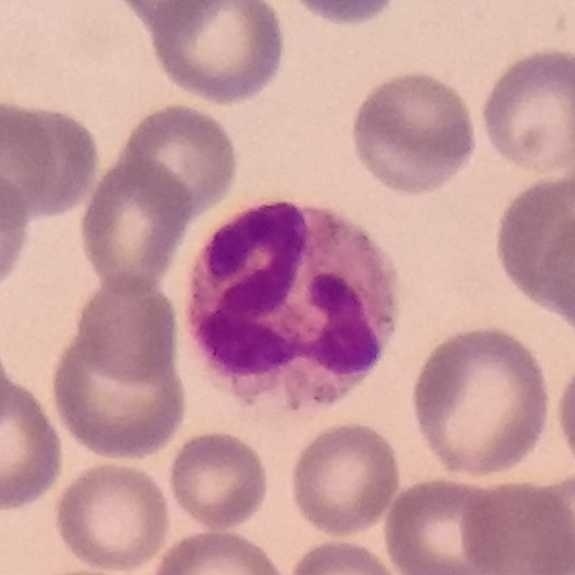

The cell type is neutrophil.